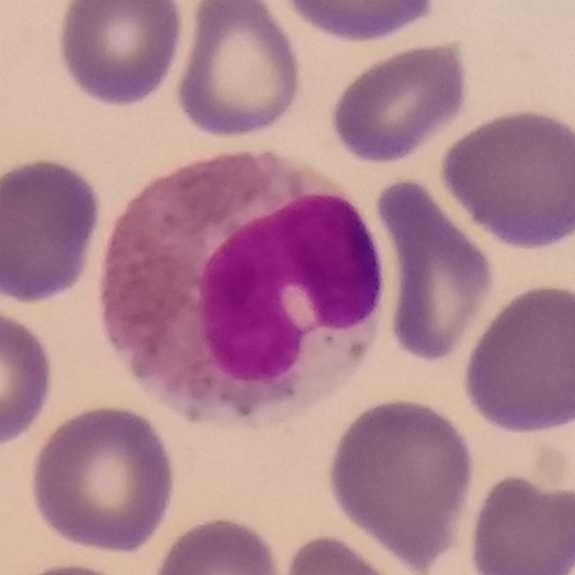Q: What is shown here?
A: It is an eosinophil.